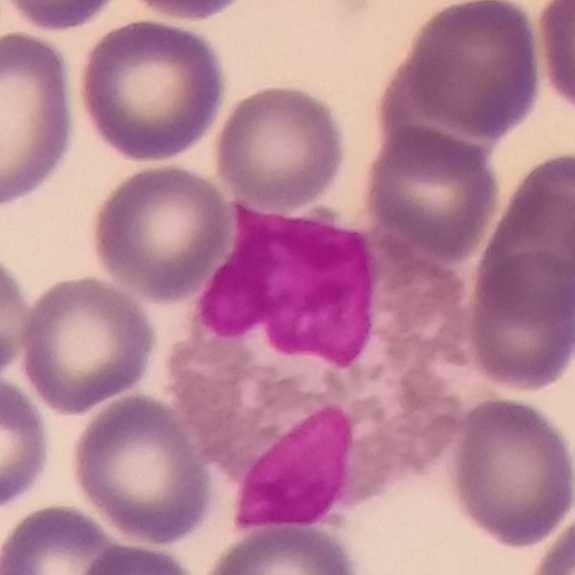 {"cell_type": "eosinophil", "lineage": "myeloid"} Context: Peripheral blood smear.